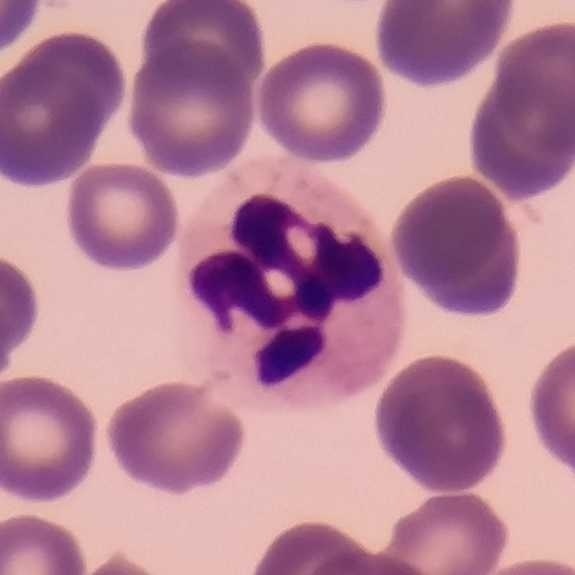 White blood cell type: neutrophilic granulocyte.